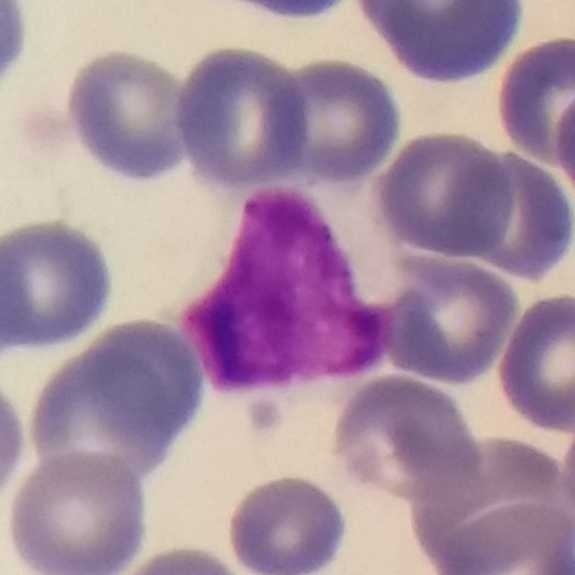
Lymphocyte.